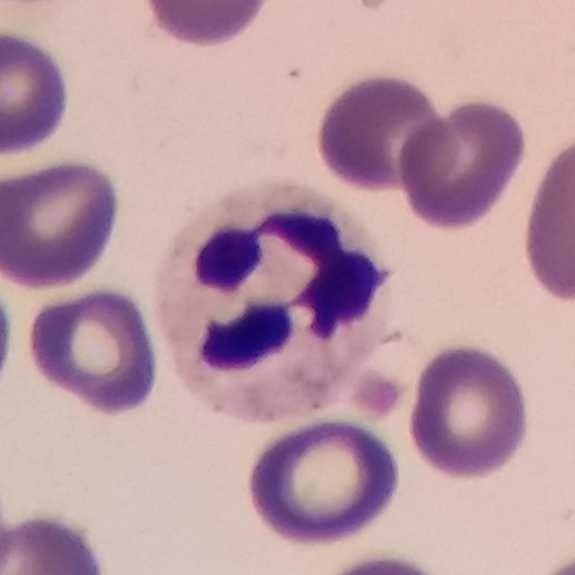
The white blood cell type is neutrophilic granulocyte.